Peripheral blood smear; cropped to one leukocyte
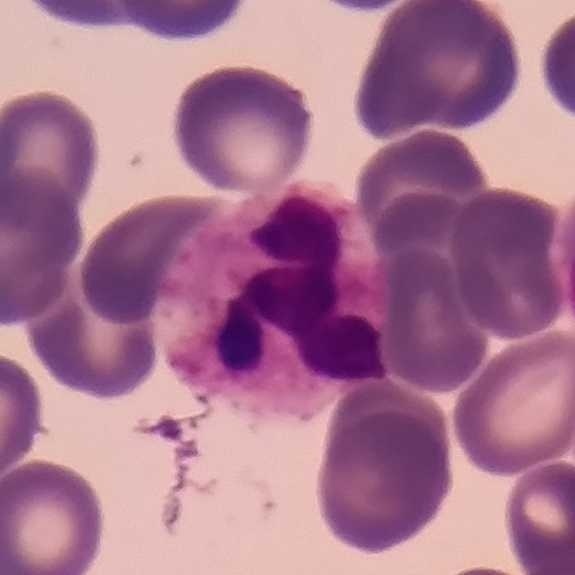

Specimen: peripheral blood smear.
Cell type: neutrophilic granulocyte.